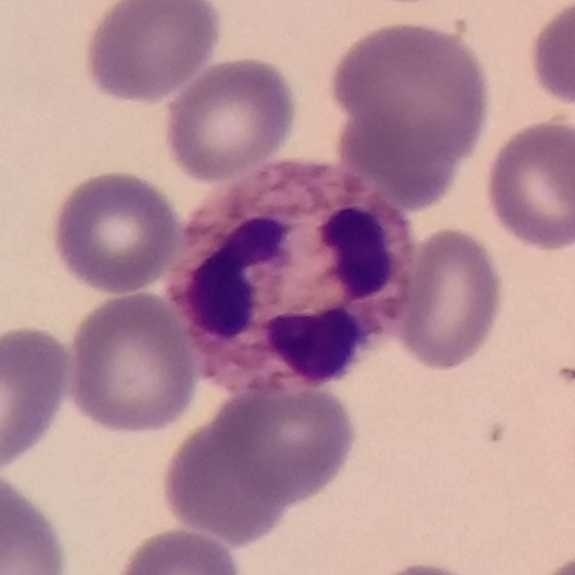Peripheral blood film.

{"cell_type": "neutrophil", "lineage": "myeloid"}